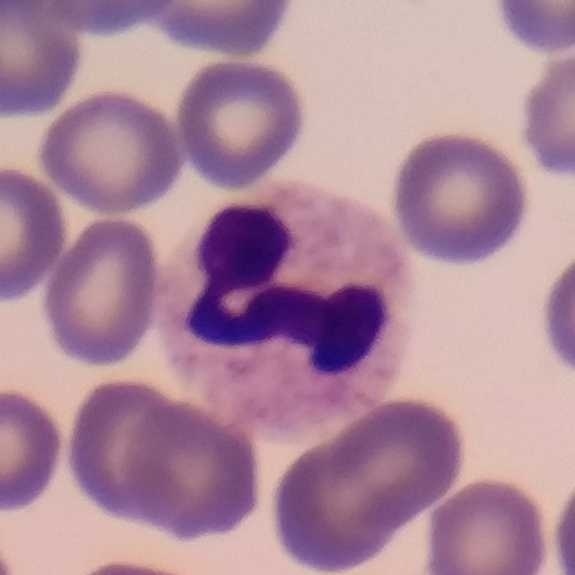 Morphology → neutrophilic granulocyte. Acquisition: Peripheral blood smear.